Peripheral blood smear.
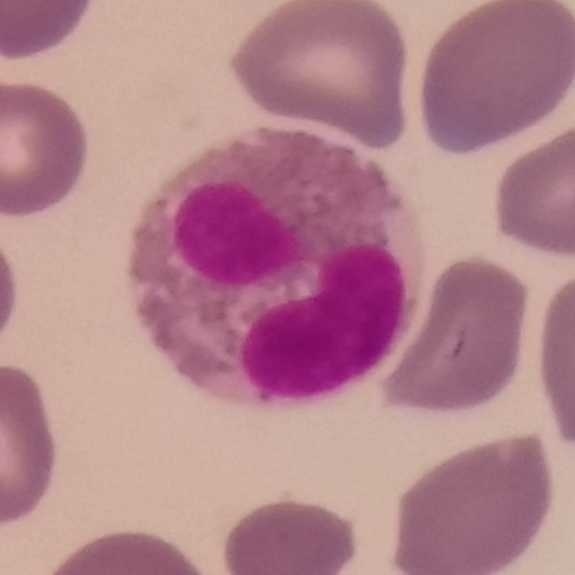

The cell shown is an eosinophilic granulocyte.